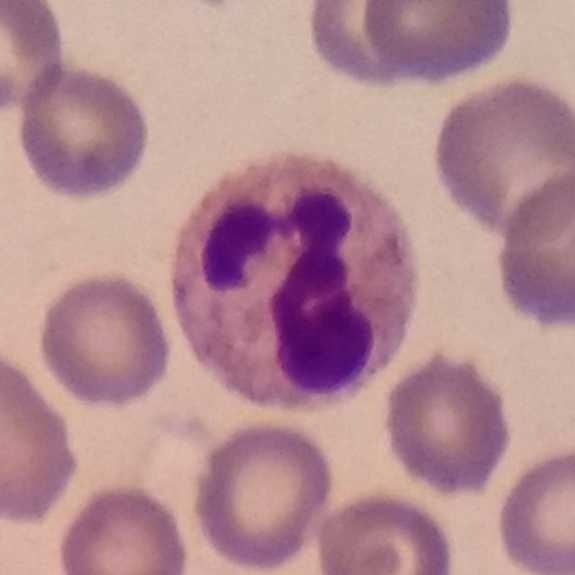Single cell identified as a neutrophil. Image: Giemsa stain. Single white blood cell cropped from the smear photograph. Peripheral blood film.